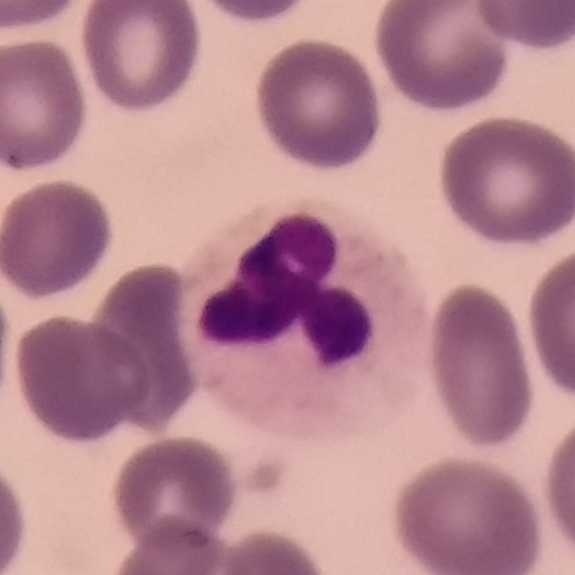Morphological class = neutrophil granulocyte.
Peripheral blood smear.